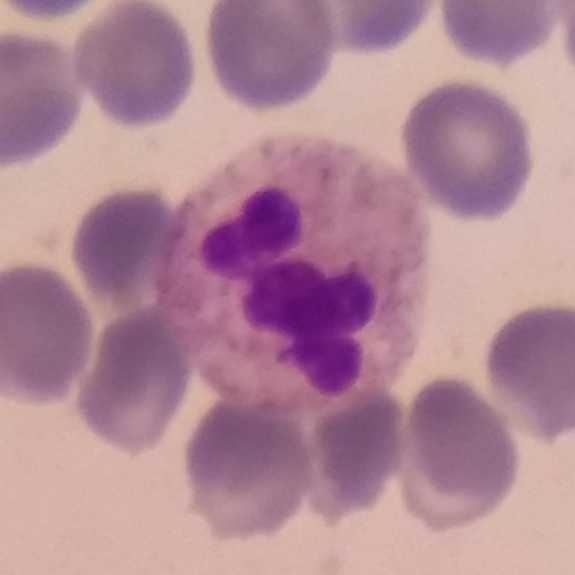

Morphology → neutrophil.